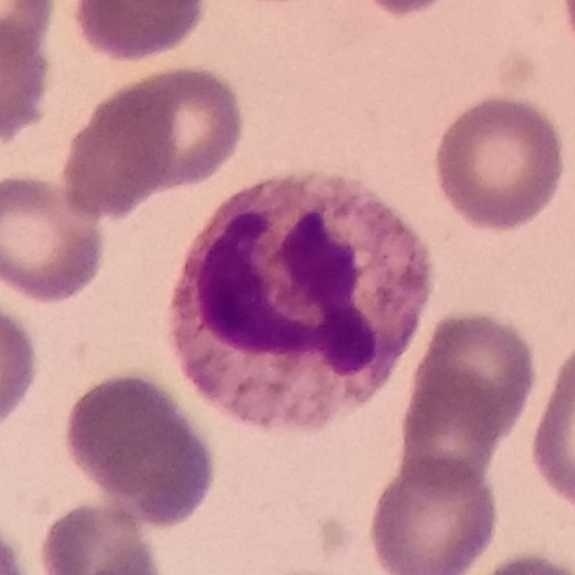Peripheral blood film; single-cell field; photographed through a light microscope with a smartphone camera.

Cell type = neutrophilic granulocyte.